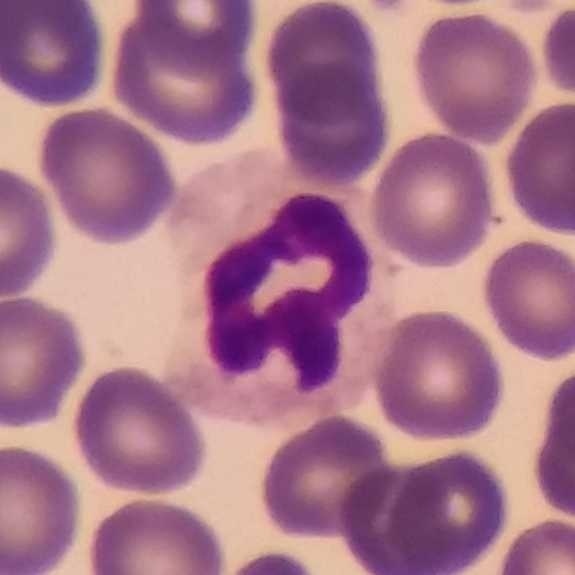

Image: Peripheral blood film · stained with Giemsa · cropped to one leukocyte.
Identified as a neutrophil.